Smartphone photomicrograph. Peripheral blood film
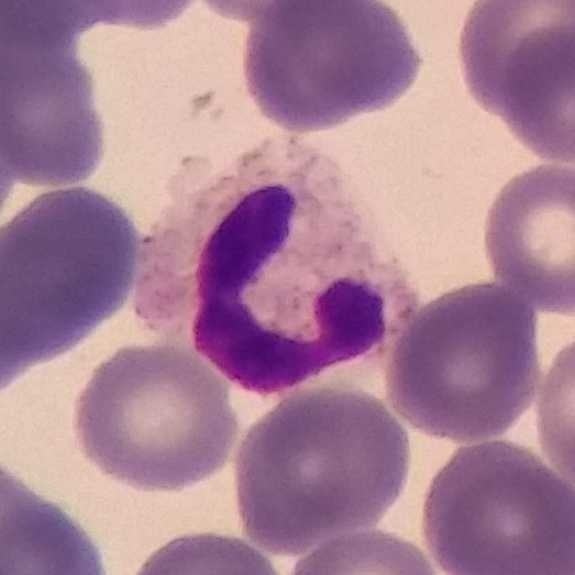
This is a neutrophilic granulocyte.